Peripheral blood film — 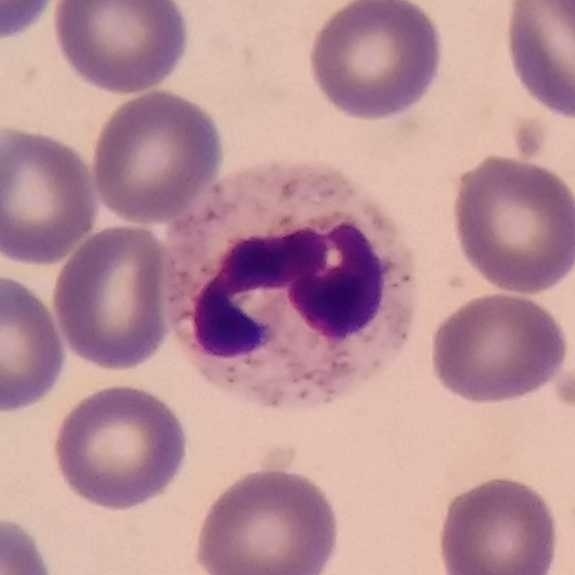

Showing a neutrophil granulocyte.